Peripheral blood smear. Stained with Giemsa.
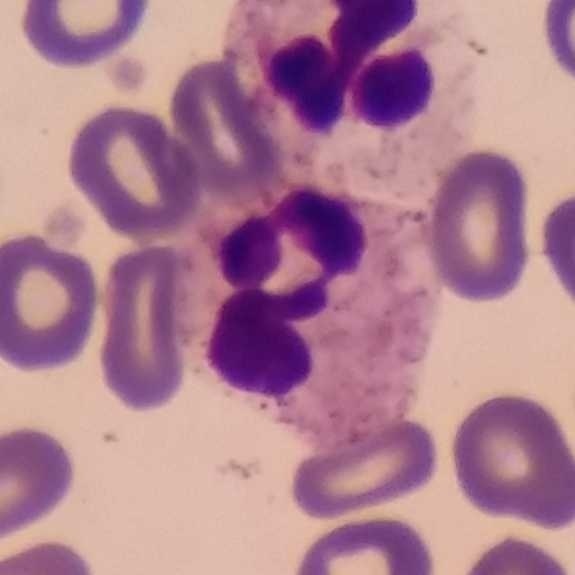
Morphological class = neutrophil.